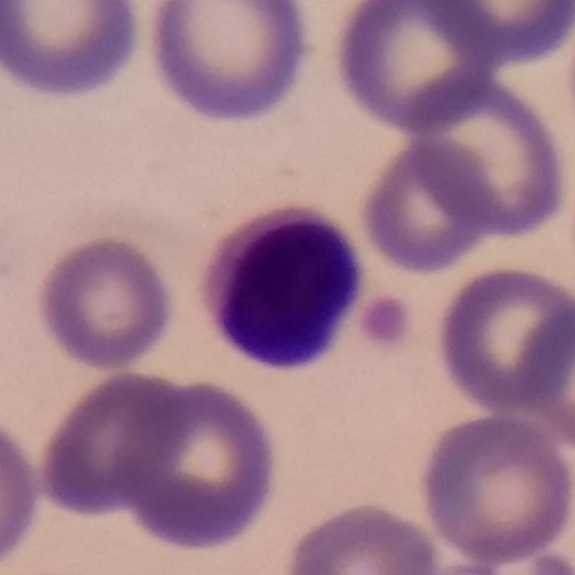

This is a lymphocyte.

Image size 575×575. Peripheral blood film.